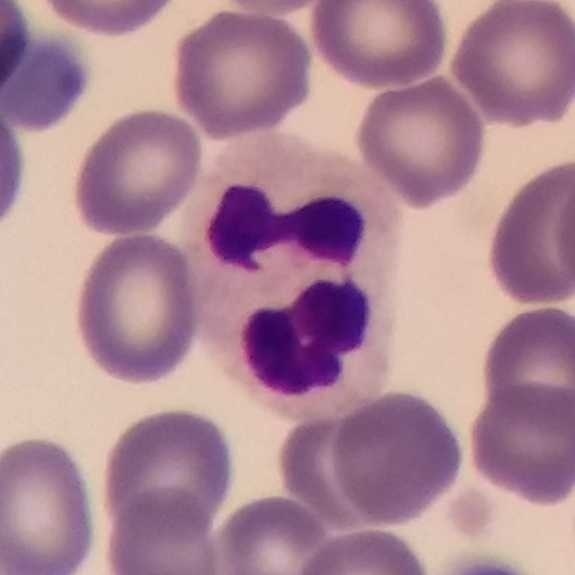 {"cell_type": "neutrophilic granulocyte", "lineage": "myeloid"}